Peripheral blood smear.
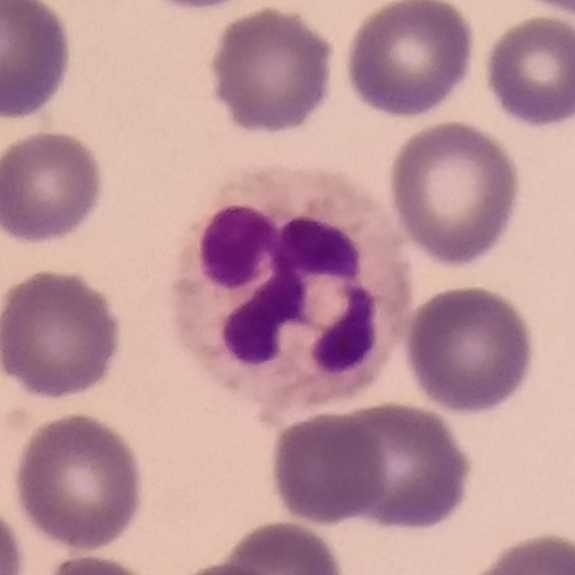

{"cell_type": "neutrophil", "lineage": "myeloid"}